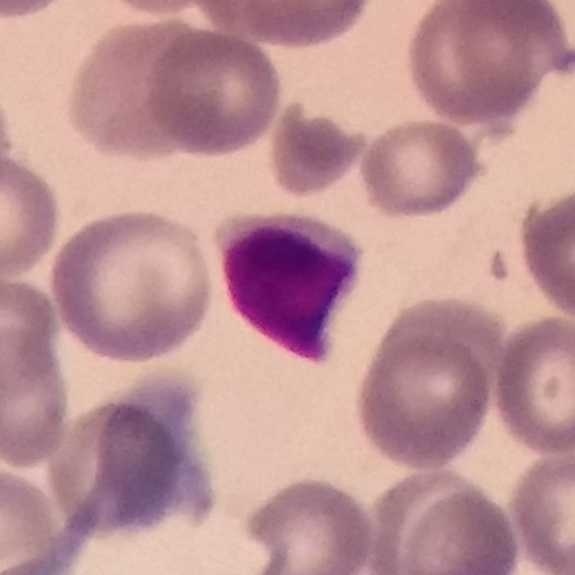 White blood cell type — lymphocyte.

Context: Peripheral blood smear.